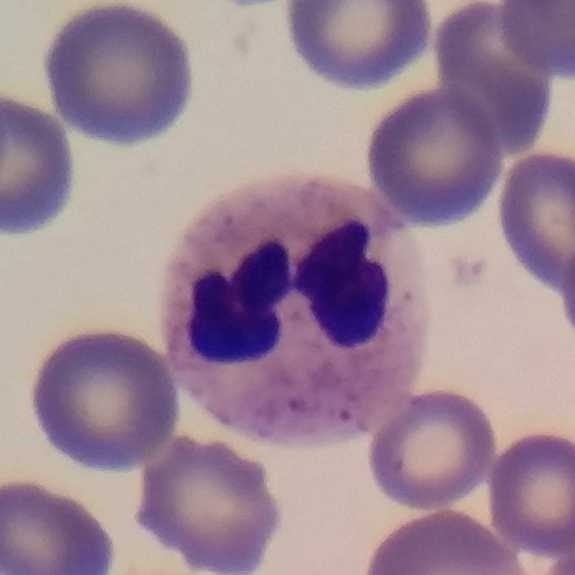
Specimen: peripheral blood smear.
Cell type: neutrophil granulocyte.
Lineage: myeloid. Single white blood cell cropped from the smear photograph · image size 575×575.